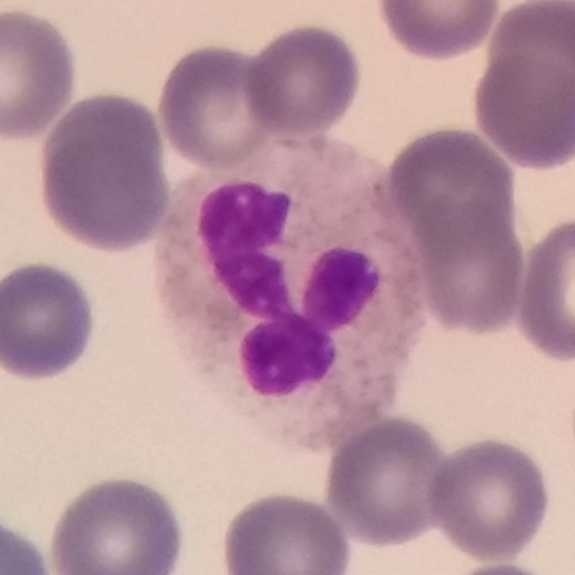
Q: What is the morphological classification of this cell?
A: A neutrophil.